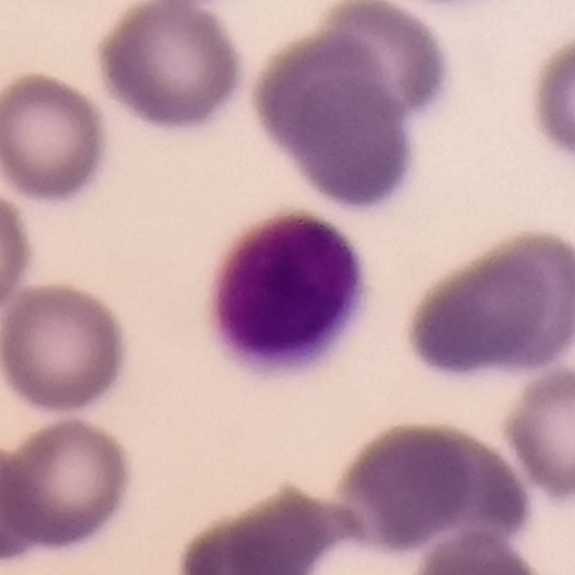Acquisition: Peripheral blood film.
The white blood cell in this image is a lymphocyte.